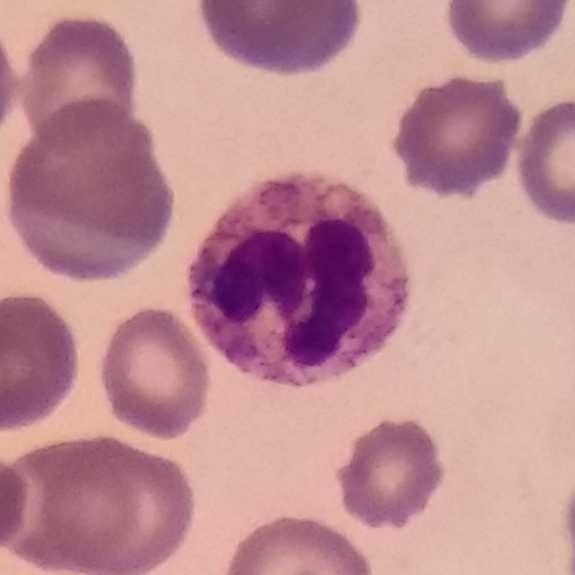
Cell — neutrophil.